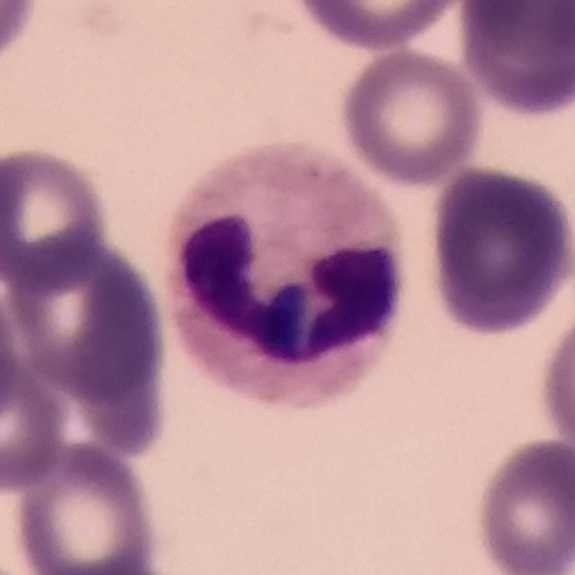
Acquisition: Peripheral blood film. A neutrophilic granulocyte.